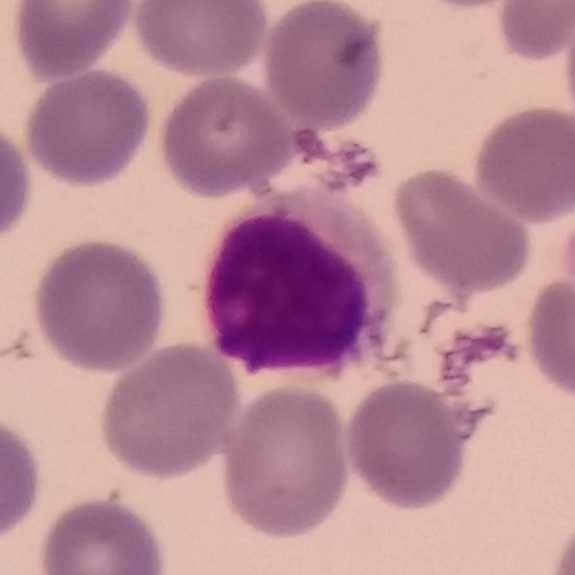

Specimen: peripheral blood smear.
Cell: lymphocyte.